Single-cell crop; phone-camera image taken through the microscope ocular; peripheral blood smear — 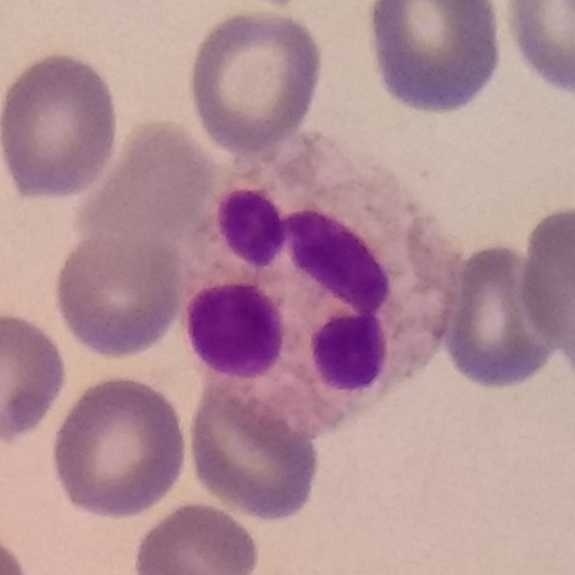 Showing a neutrophil granulocyte.